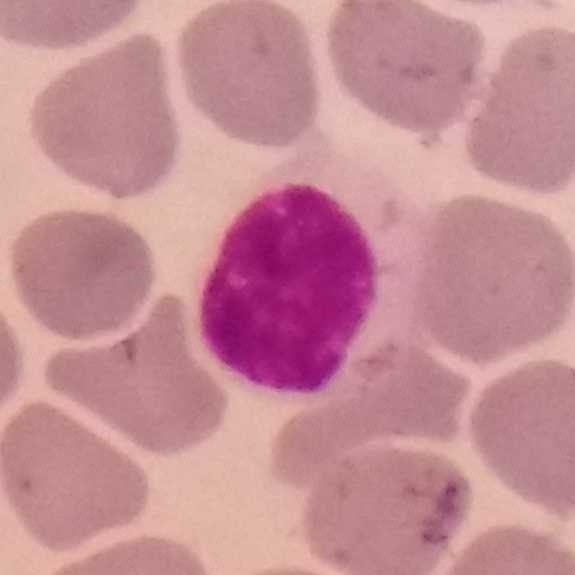A lymphocyte.
Context: Peripheral blood smear.